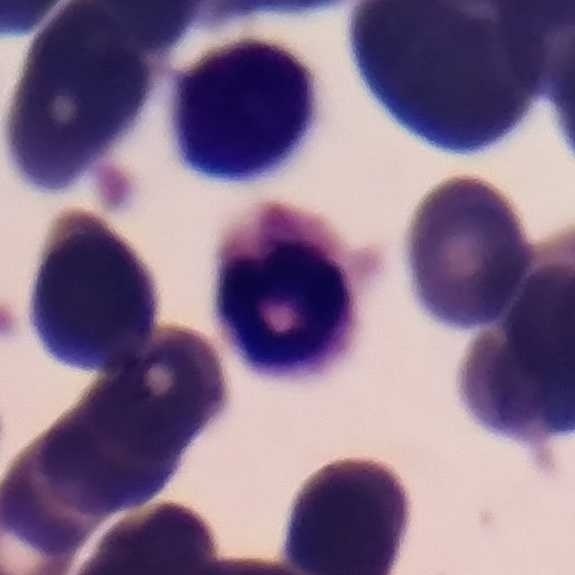 Q: What type of cell is this?
A: This is a neutrophilic granulocyte.
Preparation: Peripheral blood smear.